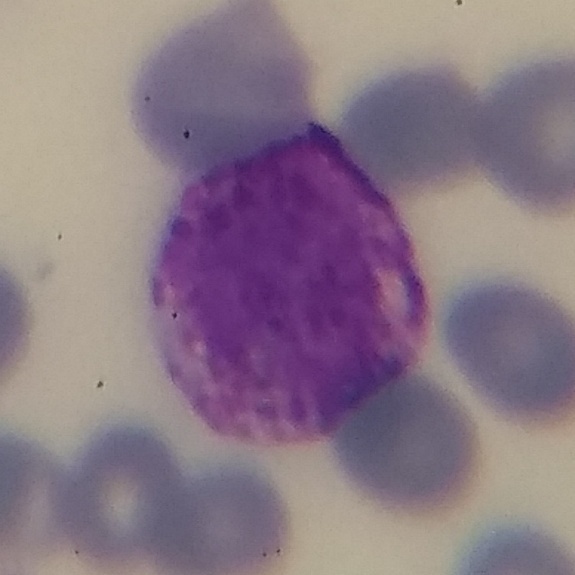

Image: Peripheral blood smear.
The white blood cell type is basophil.